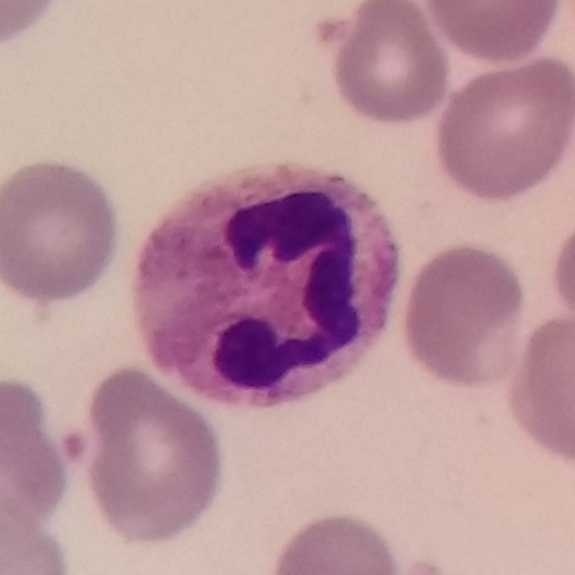

Cell = neutrophilic granulocyte.

575×575 px · phone-camera image taken through the microscope ocular · peripheral blood smear.